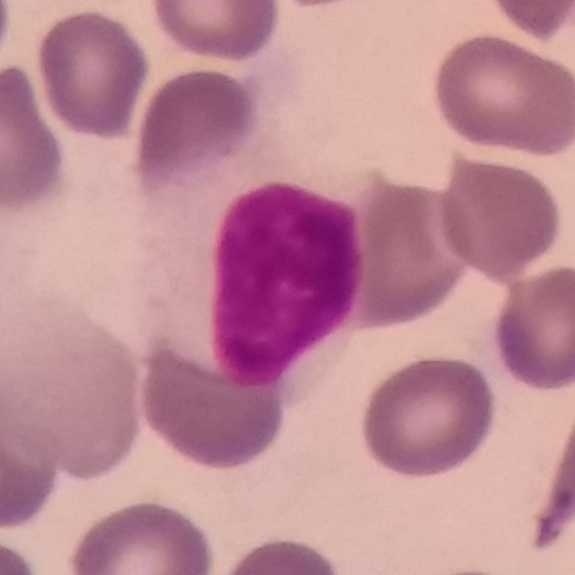

Peripheral blood smear · stained with Giemsa.
Showing a lymphocyte.